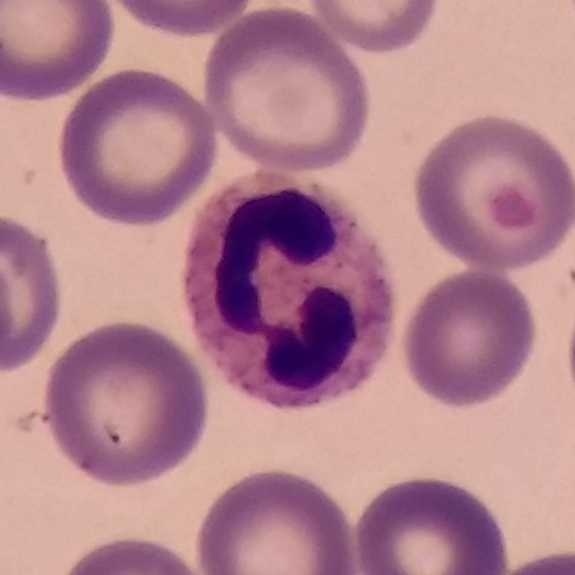
A neutrophil on a peripheral blood smear.